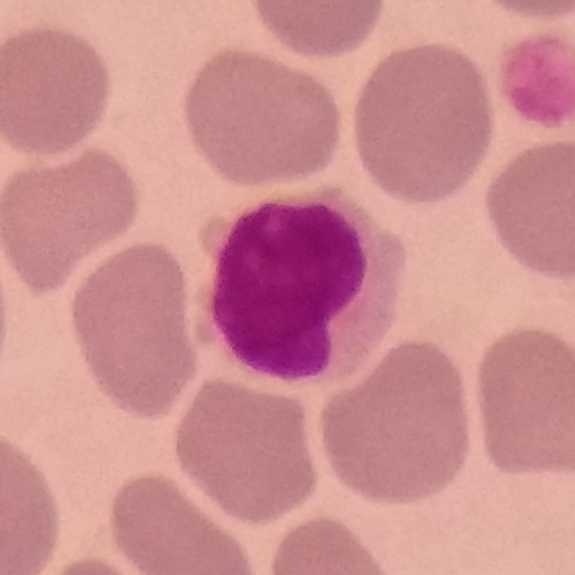

Context: Magnification 100×. Peripheral blood smear.

A lymphocyte.